Magnification 100× · Giemsa stain · peripheral blood smear.
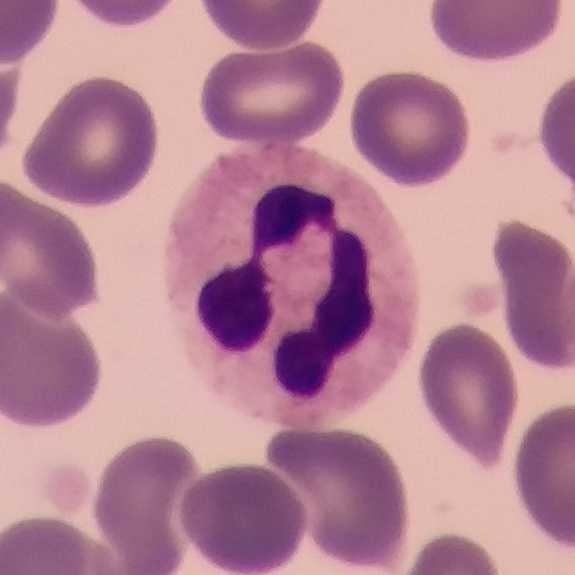 Q: Which type of white blood cell is this?
A: Neutrophil.